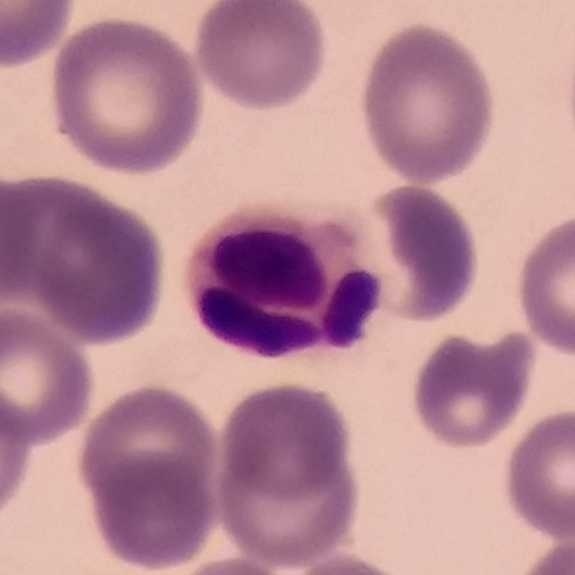

{"cell_type": "neutrophilic granulocyte"}
Image: Peripheral blood smear.